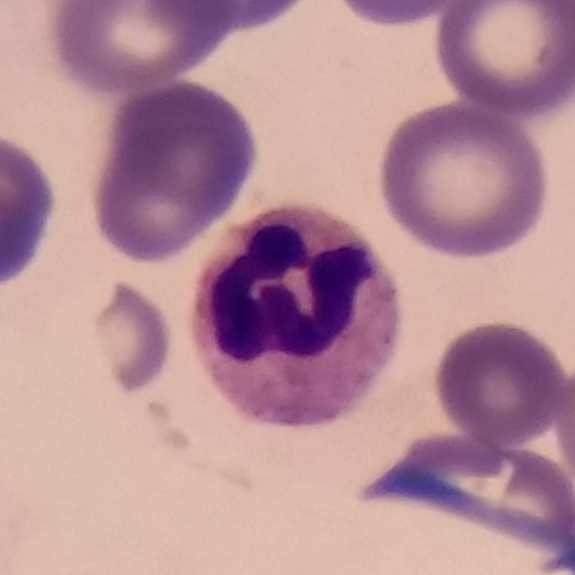

Peripheral blood smear. Morphology → neutrophil granulocyte.